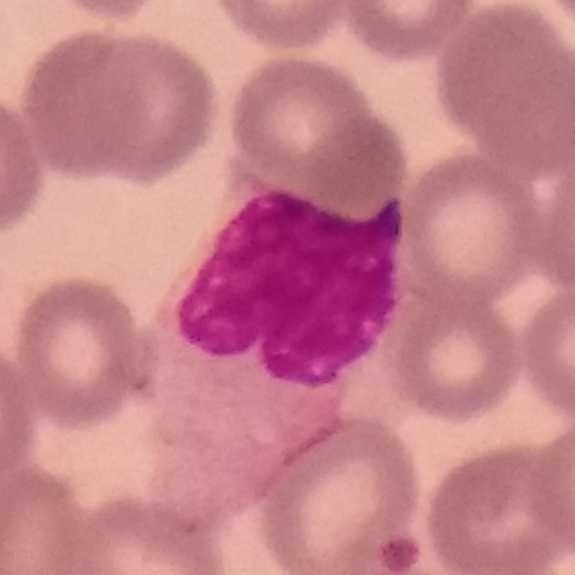Acquisition: Imaged at 100× · peripheral blood smear. The white blood cell type is monocyte.